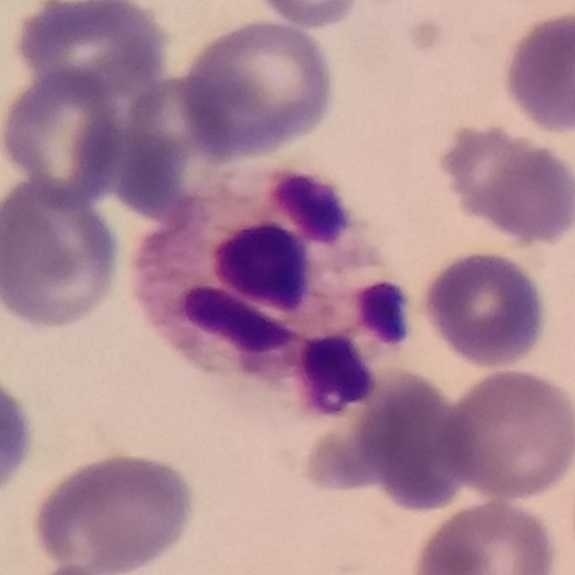White blood cell type — neutrophilic granulocyte. Acquisition: Peripheral blood smear.